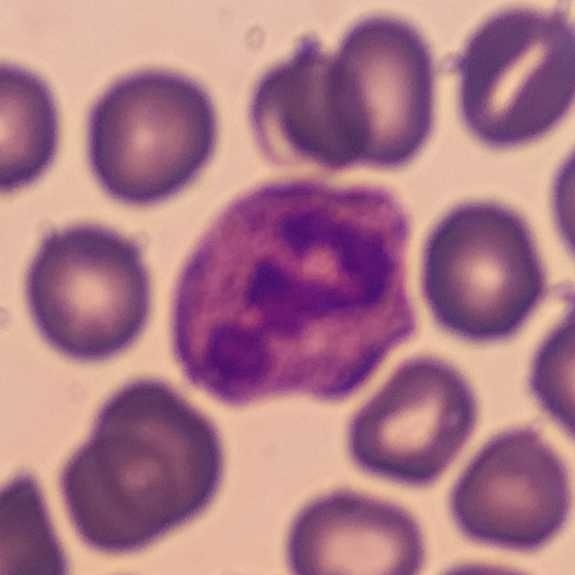

A neutrophil granulocyte.

Acquisition: Peripheral blood film.